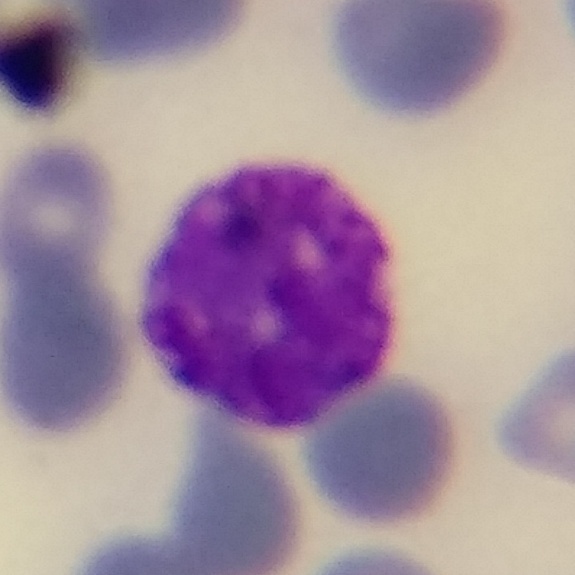
Single-cell crop; peripheral blood film.
Showing a basophilic granulocyte.